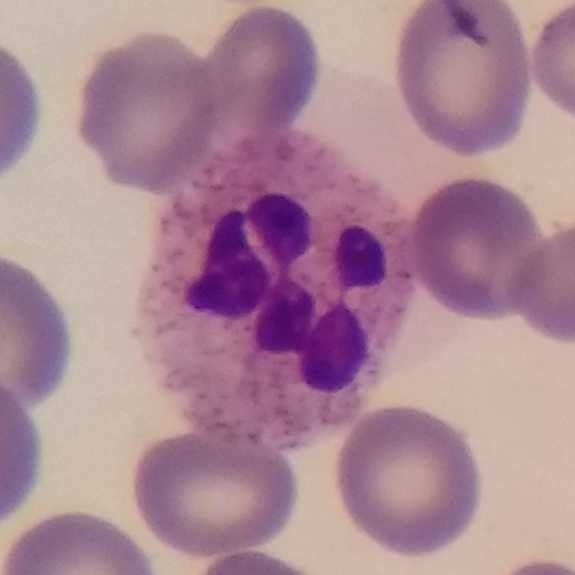 The cell is neutrophilic granulocyte.
Peripheral blood smear.